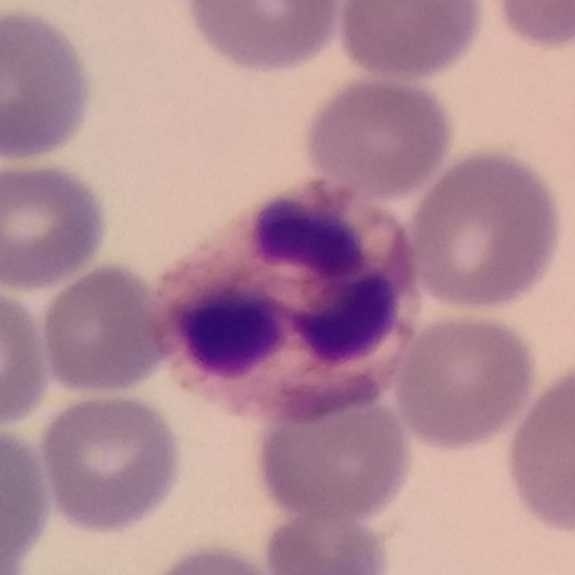

Q: What type of cell is this?
A: This is a neutrophil granulocyte.